Peripheral blood film · single-cell crop
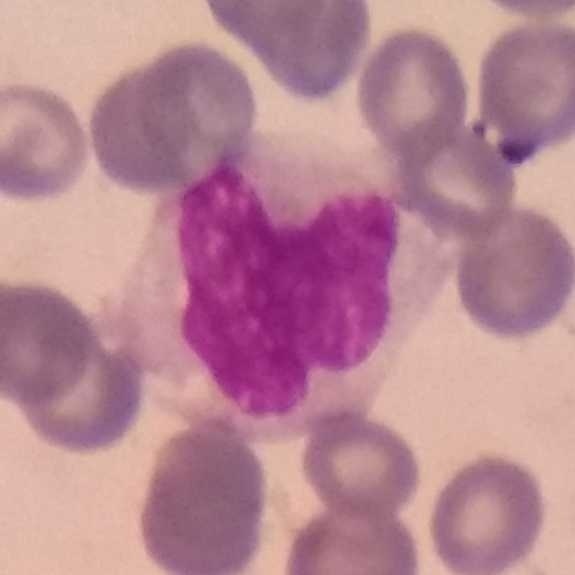{"cell_type": "monocyte", "lineage": "myeloid"}